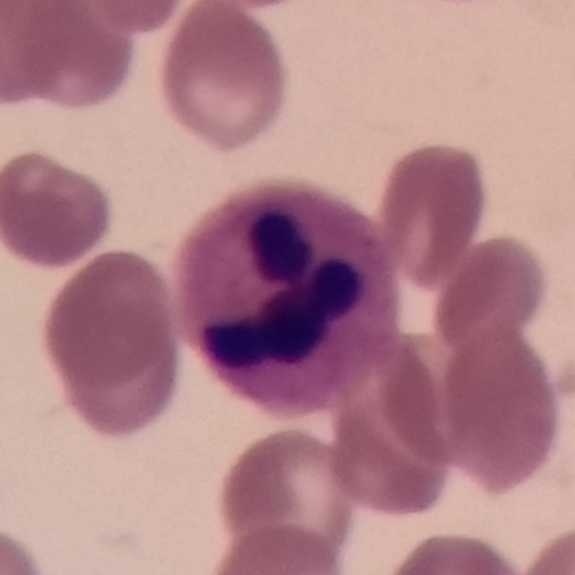

Preparation: Peripheral blood smear; 100× magnification. White blood cell type — neutrophil granulocyte.